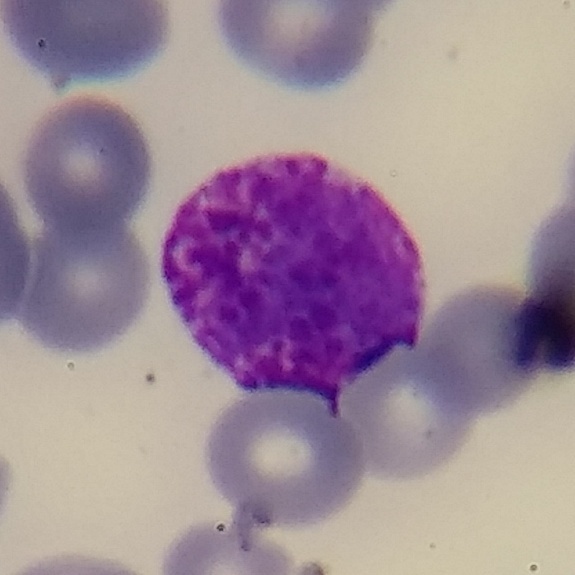
Morphological class — basophilic granulocyte.
Acquisition: Single-cell field · 100× magnification · peripheral blood film.